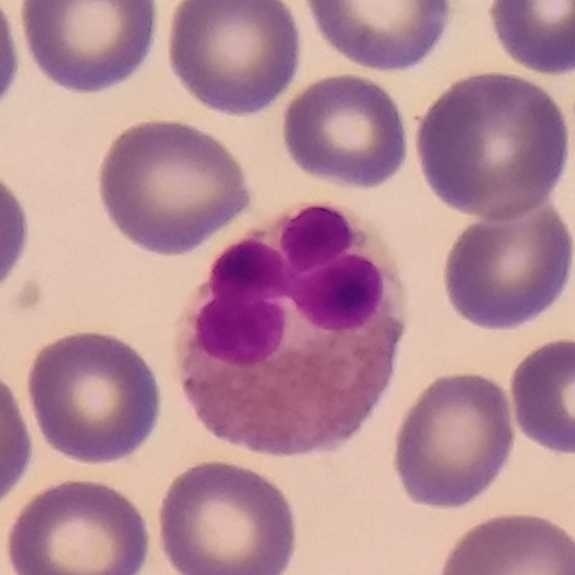100× magnification; peripheral blood smear; single-cell field.
Identified as an eosinophilic granulocyte.